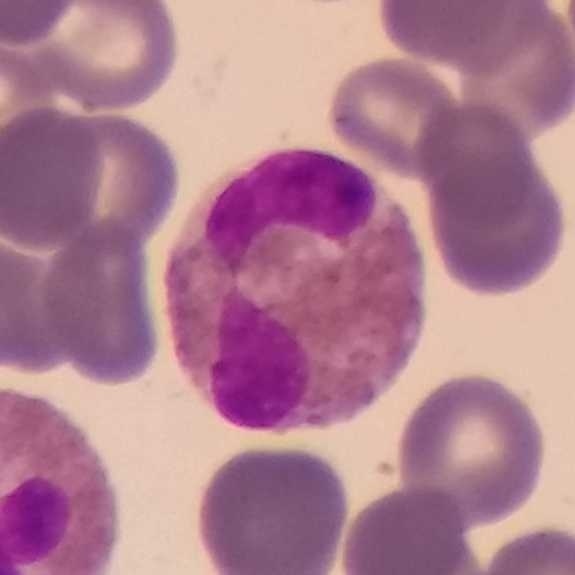 Morphology → eosinophilic granulocyte.